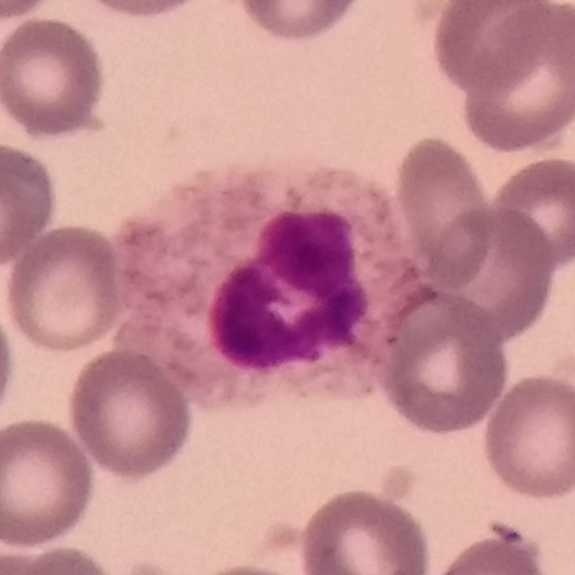 The white blood cell in this image is a neutrophilic granulocyte.